Peripheral blood smear; imaged at 100× — 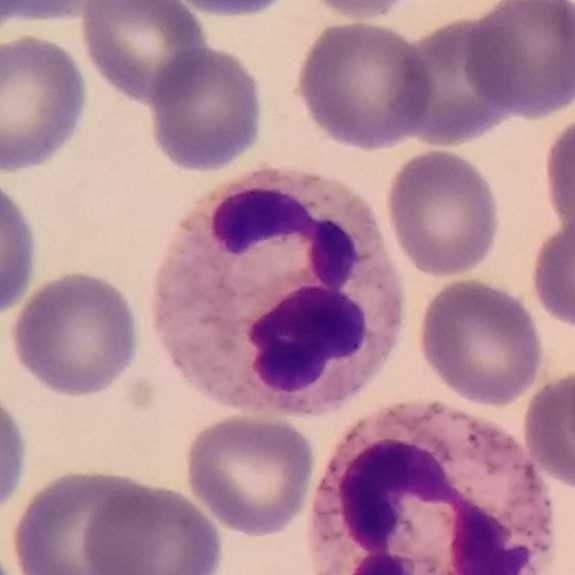

Q: Which type of white blood cell is this?
A: It is a neutrophilic granulocyte.